Peripheral blood film. 100× magnification — 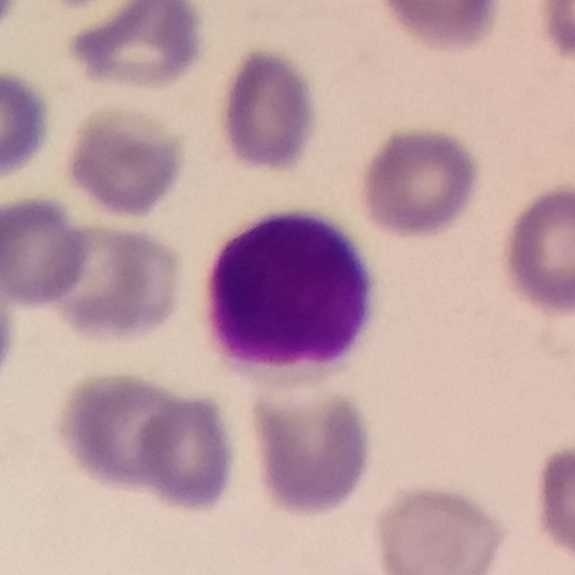{"cell_type": "lymphocyte", "lineage": "lymphoid"}